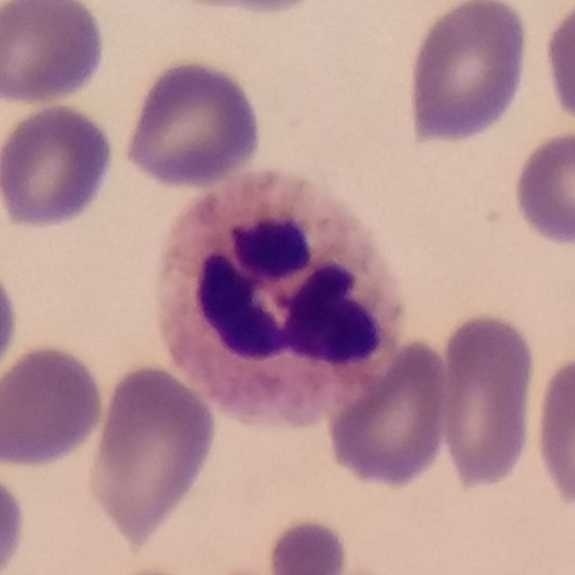Imaged at 100×.
Specimen: peripheral blood film.
Morphological class: neutrophil granulocyte.